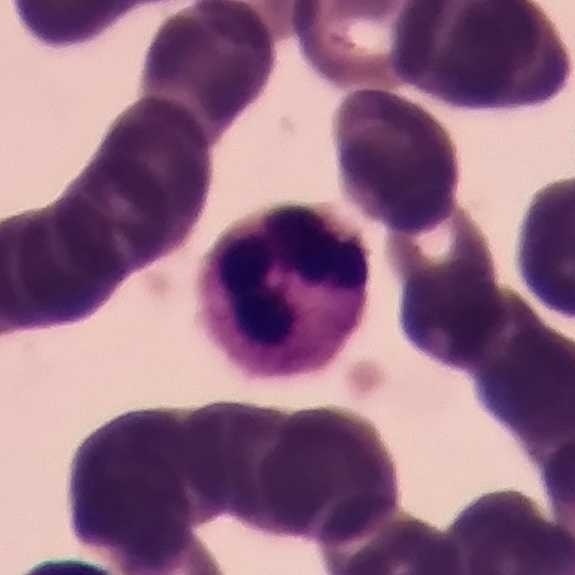 Morphology consistent with a neutrophil granulocyte.

Image: Peripheral blood smear.